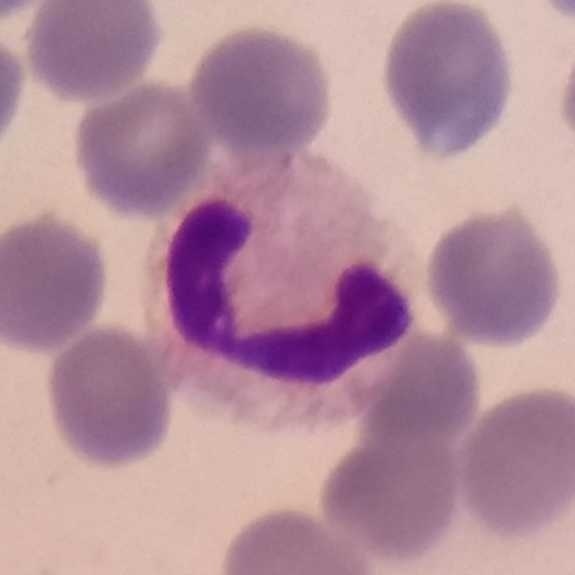
Acquisition: Single-cell field; peripheral blood film.

{"cell_type": "neutrophil", "lineage": "myeloid"}